Cropped to one leukocyte. 575 by 575 pixels. Peripheral blood smear: 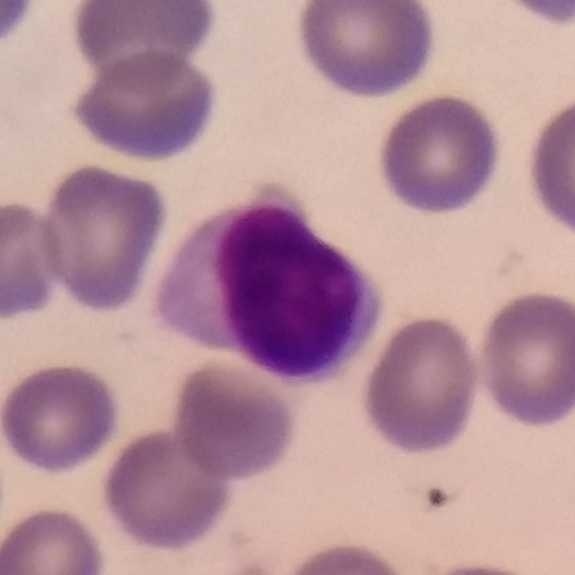
Q: What type of cell is this?
A: Lymphocyte.